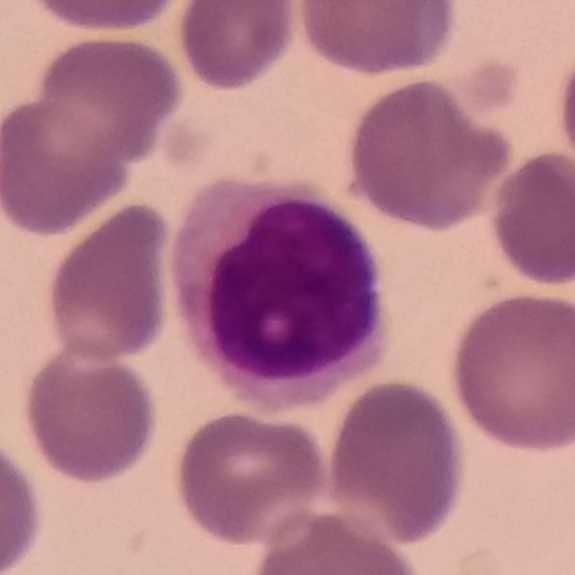Context: Peripheral blood smear · photographed through a light microscope with a smartphone camera.

White blood cell type = lymphocyte.